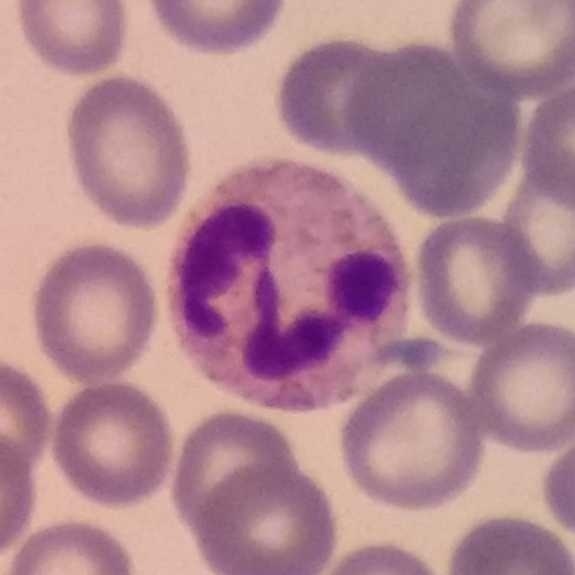 Cell type — neutrophil granulocyte. Peripheral blood film.